Peripheral blood smear. Image size 575×575 — 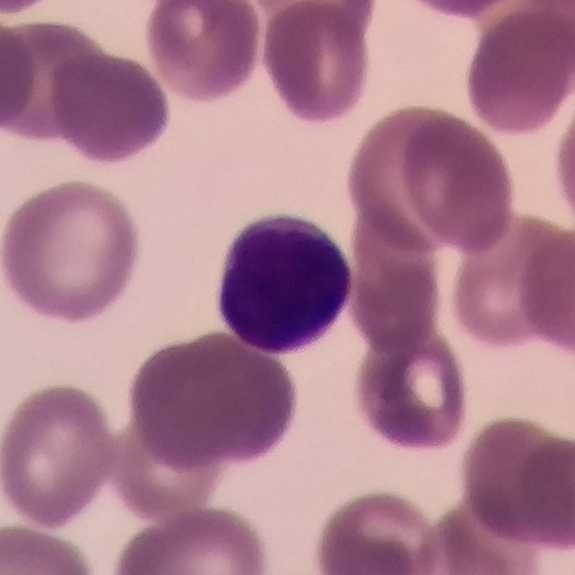 Q: Identify the cell.
A: This is a lymphocyte.